Giemsa-stained; peripheral blood film
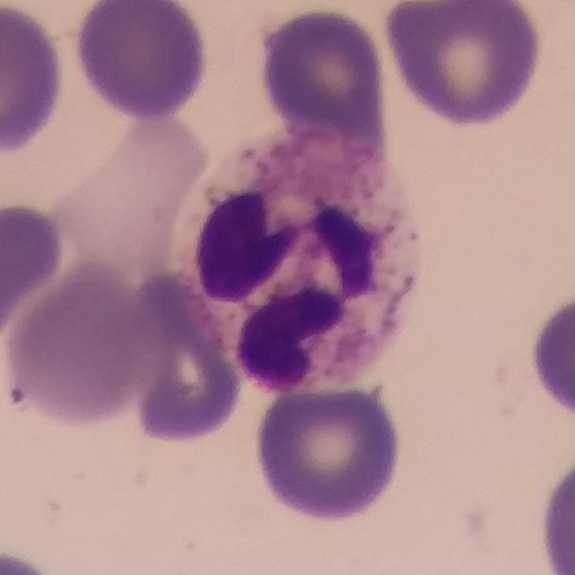

Morphology consistent with a neutrophil granulocyte.